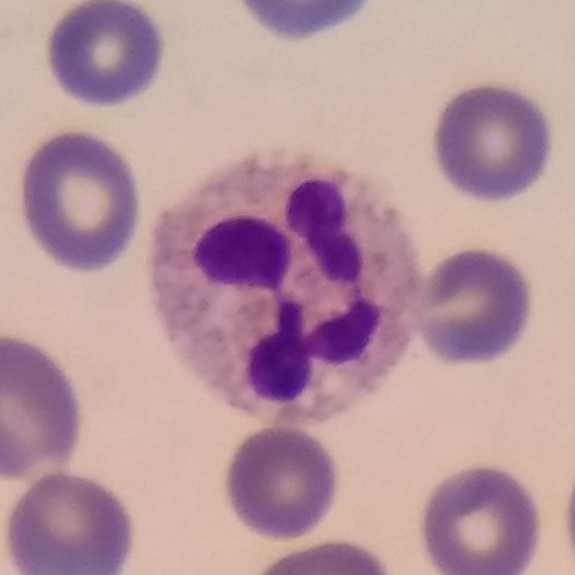 Single cell identified as a neutrophil granulocyte. Peripheral blood film.